575×575 · peripheral blood smear.
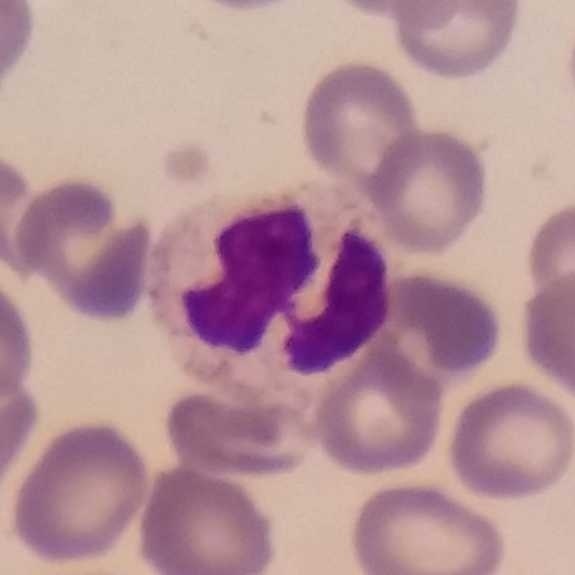

Morphology consistent with a neutrophil.